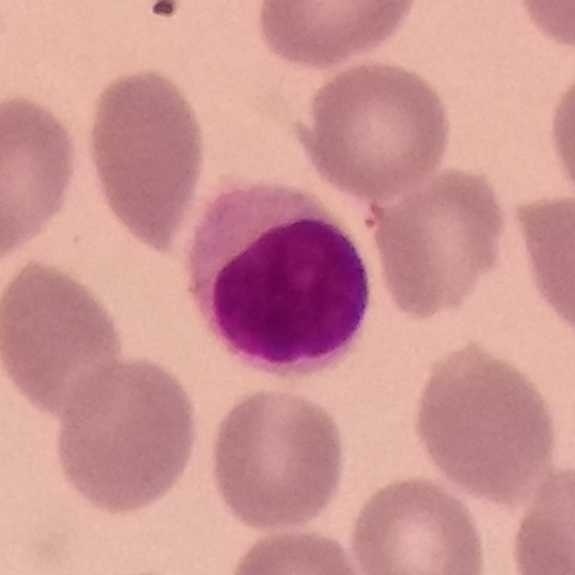The classification is lymphocyte.
Peripheral blood smear.